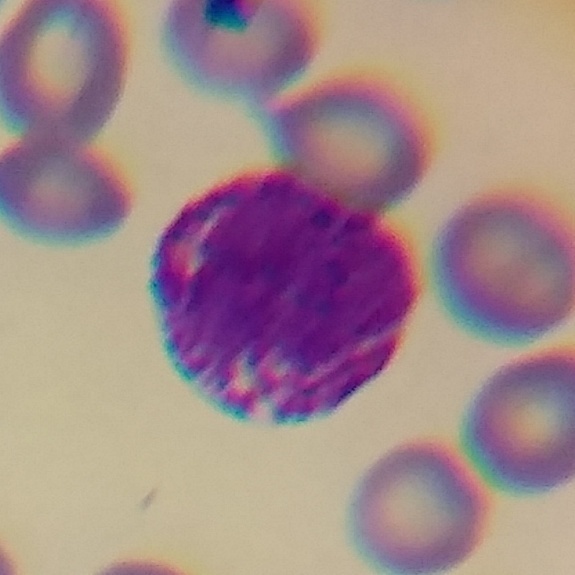
Morphological class = basophilic granulocyte.
Context: Peripheral blood smear.